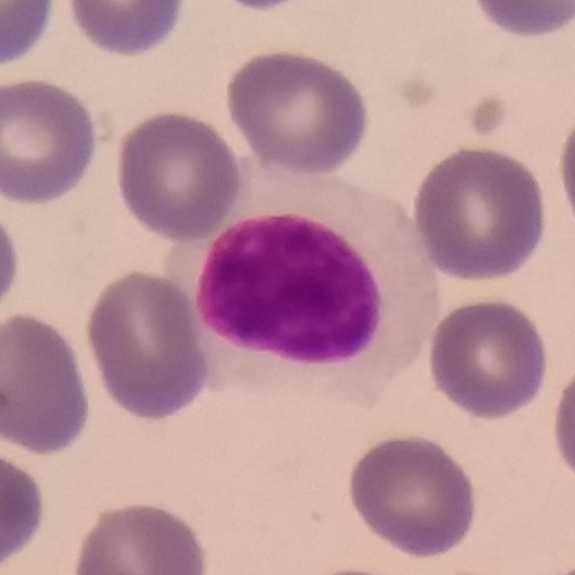

Morphology → lymphocyte.